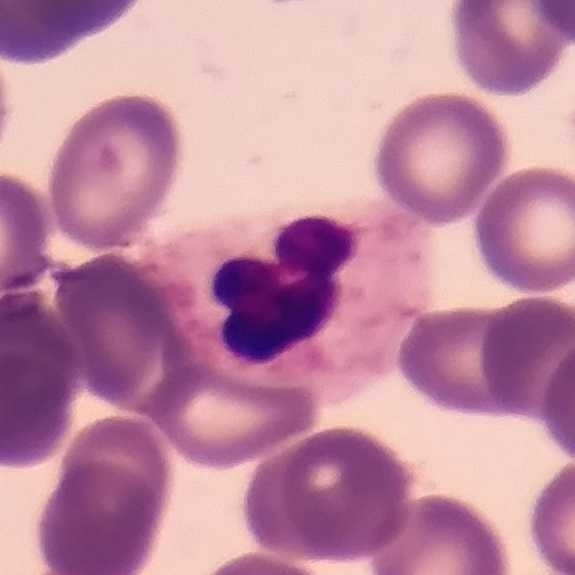
Q: Identify the cell.
A: Neutrophilic granulocyte.
Preparation: Peripheral blood smear.